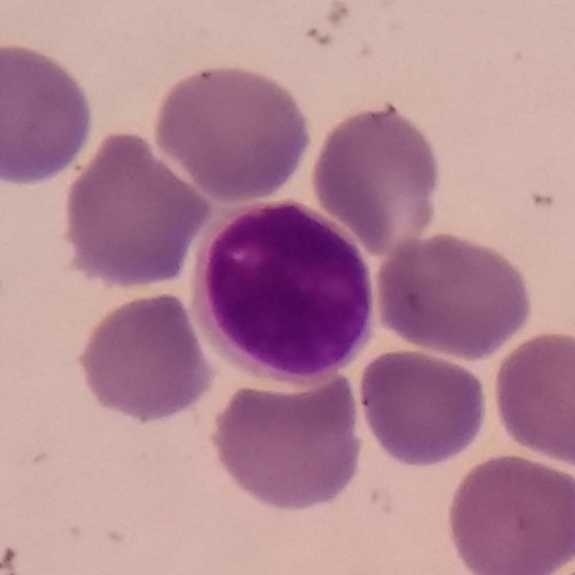

Classification — lymphocyte.